Peripheral blood film:
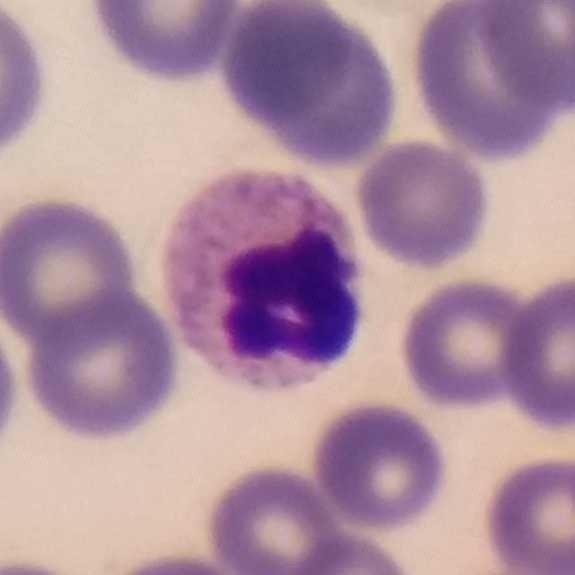
The white blood cell in this image is a neutrophilic granulocyte.